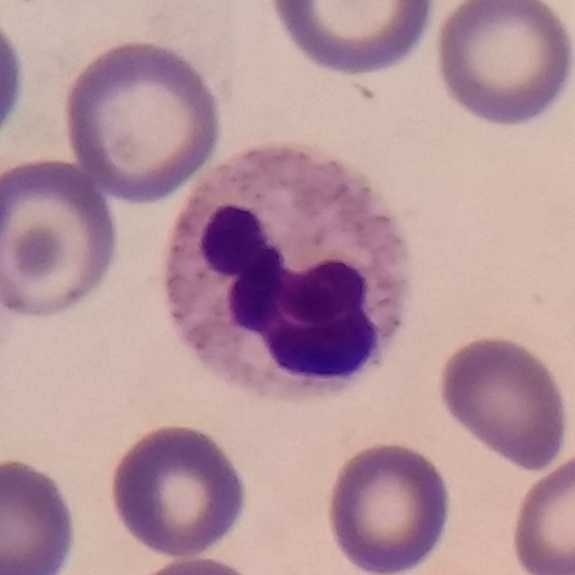

Specimen: peripheral blood film.
Morphological class: neutrophil.
Lineage: myeloid.